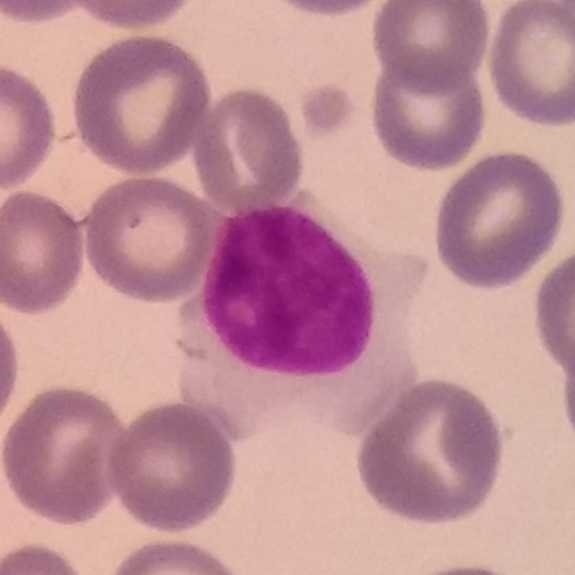 The cell shown is a lymphocyte.
Context: Peripheral blood film.